Peripheral blood smear: 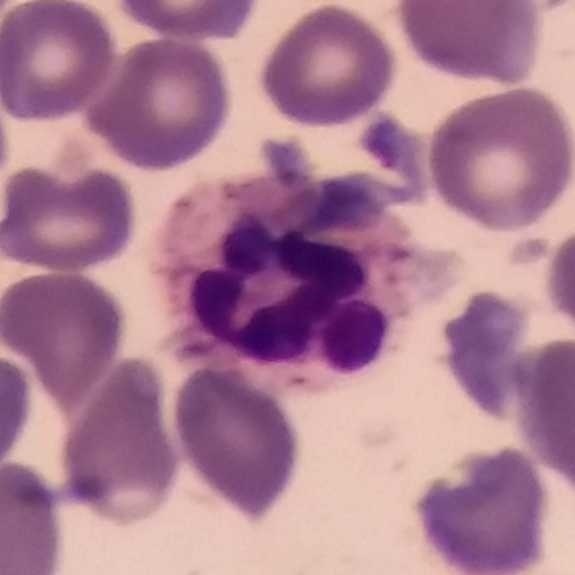 The white blood cell in this image is a neutrophil granulocyte.